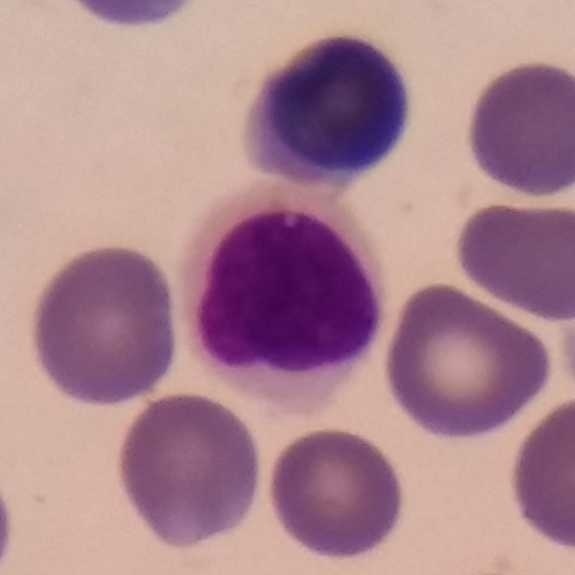White blood cell type = lymphocyte.